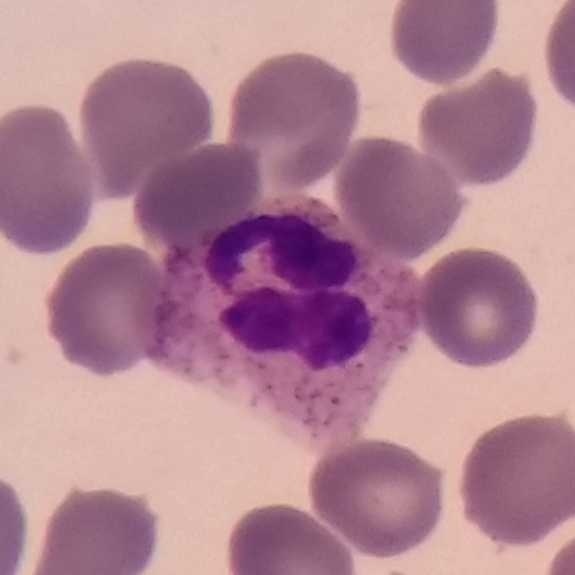 Peripheral blood film. Imaged at 100×. 575 by 575 pixels.
Single cell identified as a neutrophil.